Peripheral blood film: 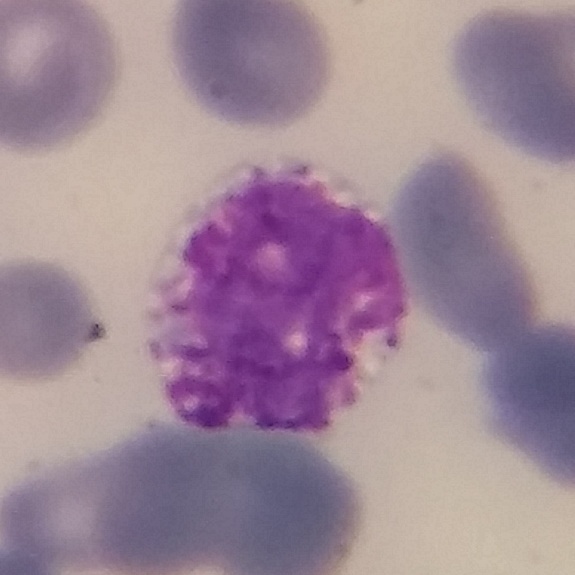
{"cell_type": "basophilic granulocyte", "lineage": "myeloid"}